Peripheral blood film — 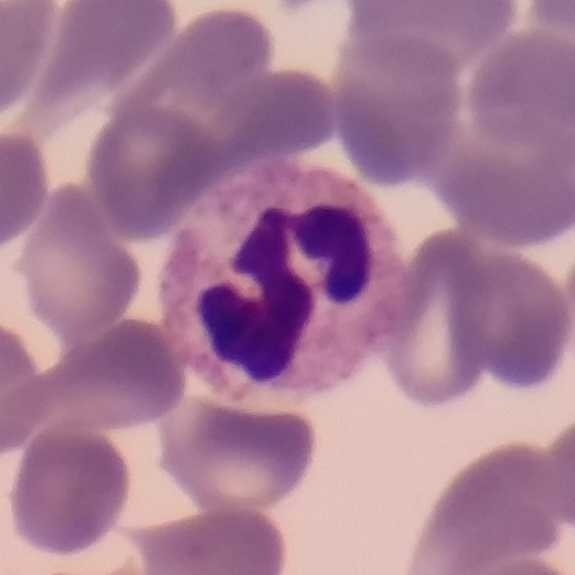Specimen: peripheral blood smear.
Classification: neutrophil granulocyte.
Lineage: myeloid.